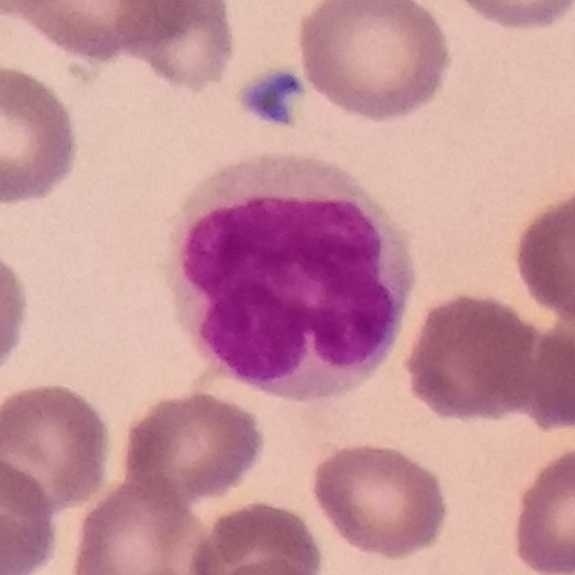The white blood cell in this image is a monocyte.